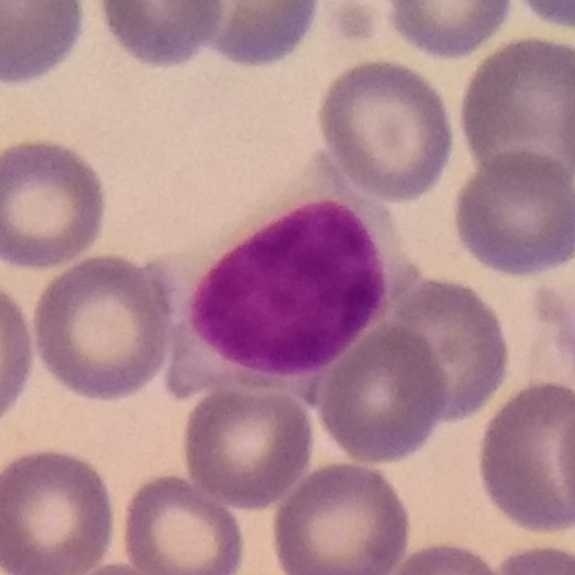
Acquisition: Peripheral blood smear. Giemsa stain.

Lymphocyte.